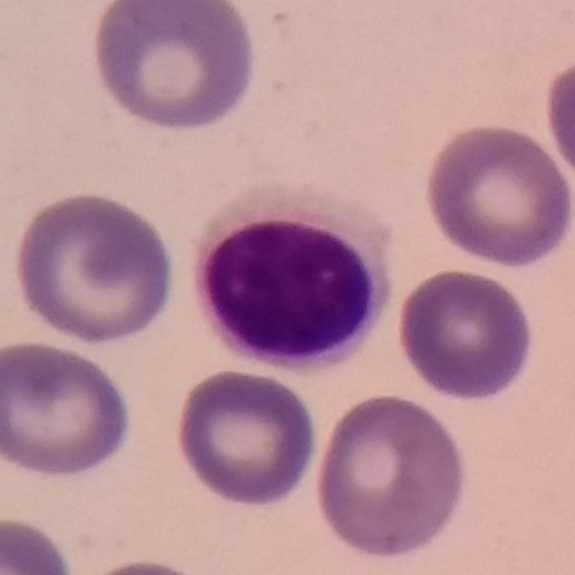

Morphological class = lymphocyte.
Image: Peripheral blood film · magnification 100×.